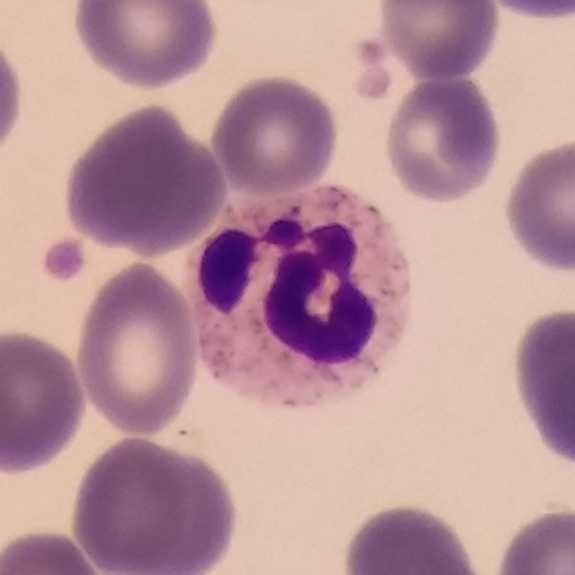

Q: Which type of white blood cell is this?
A: This is a neutrophil granulocyte.
Smartphone camera mounted on the microscope eyepiece · Giemsa-stained · peripheral blood film.